Peripheral blood film.
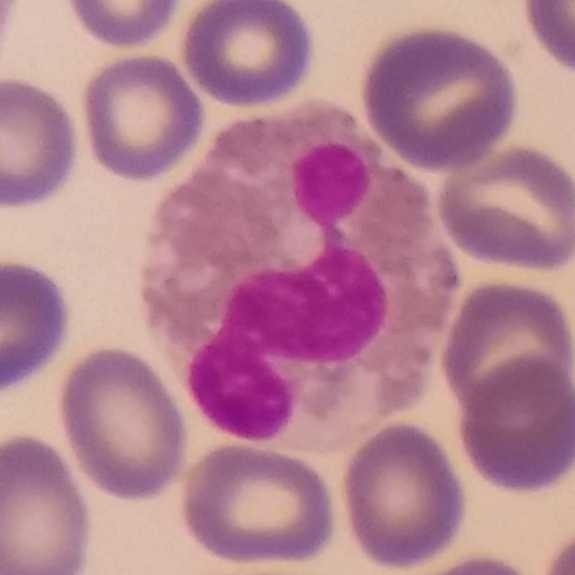
An eosinophil.